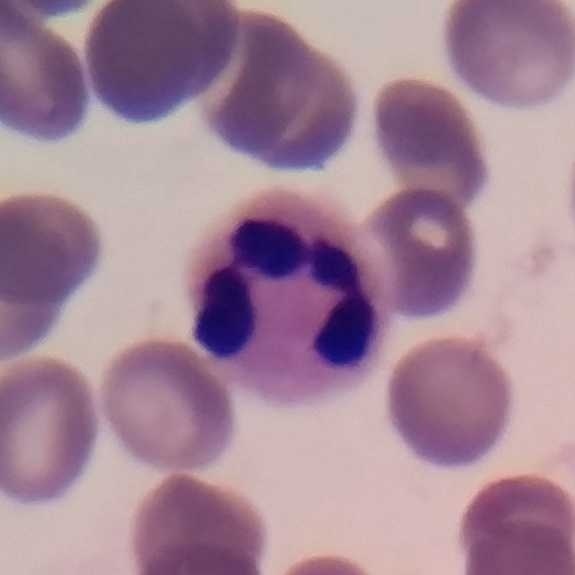 Peripheral blood film · 575×575 px.
Q: Identify the cell.
A: Neutrophil.